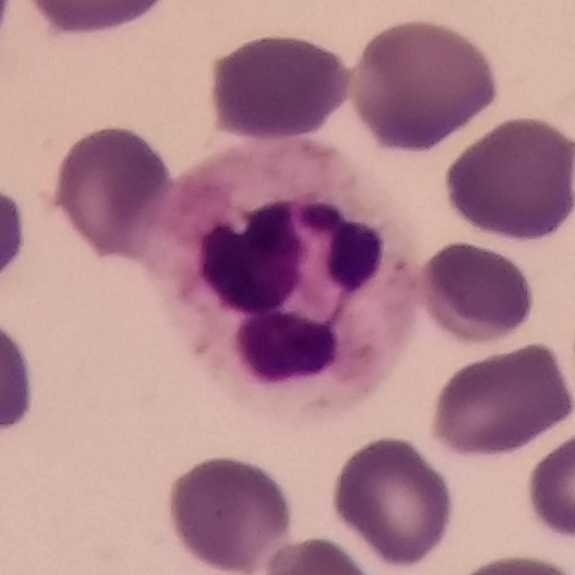Context: Peripheral blood film · imaged at 100×.

Morphological class: neutrophilic granulocyte.